Peripheral blood film · imaged at 100×: 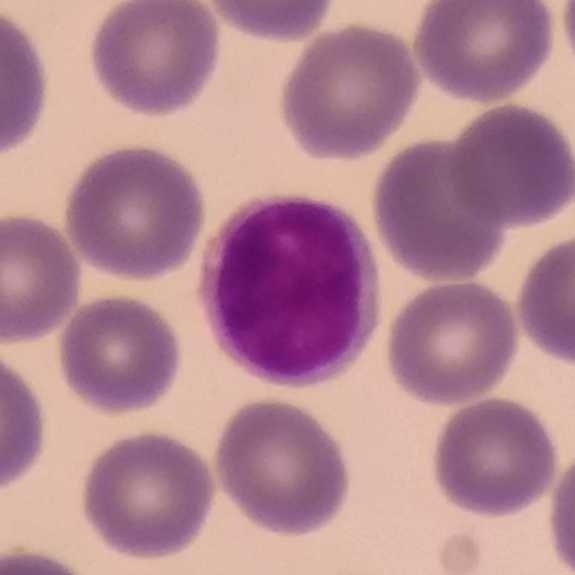The cell shown is a lymphocyte.